Imaged at 100× · peripheral blood film
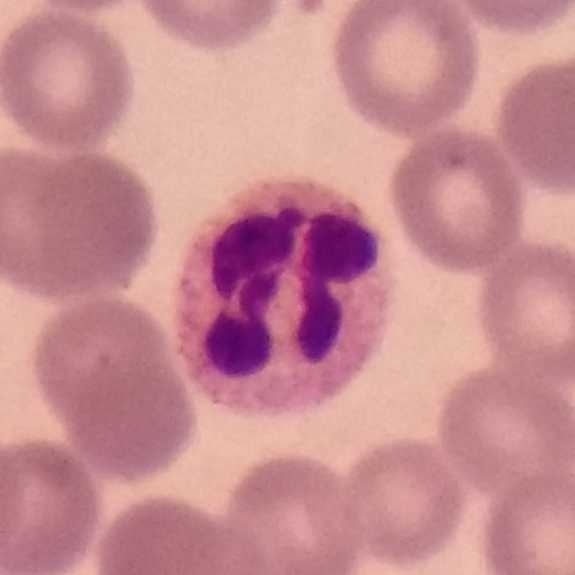Q: What is the morphological classification of this cell?
A: A neutrophilic granulocyte.